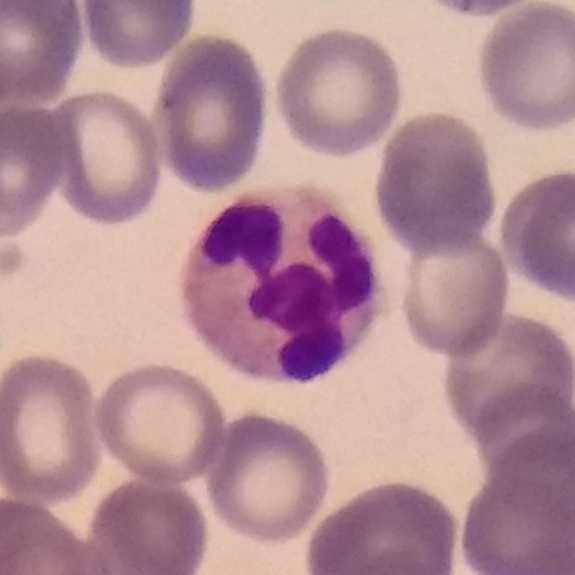The white blood cell type is neutrophil.